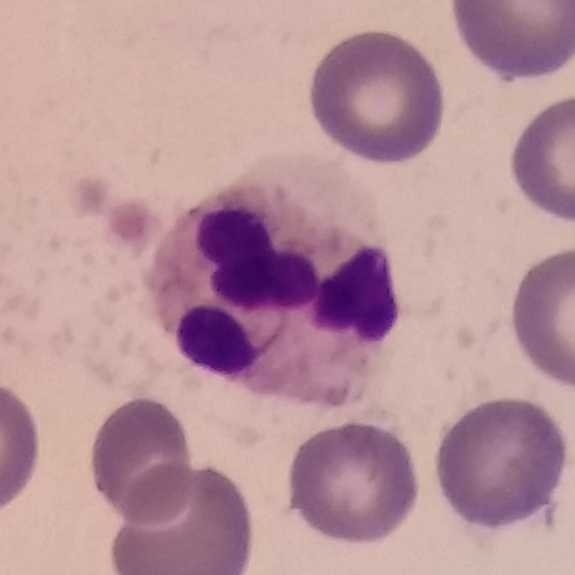 Acquisition: Peripheral blood smear.
Q: What cell is this?
A: It is a neutrophil granulocyte.